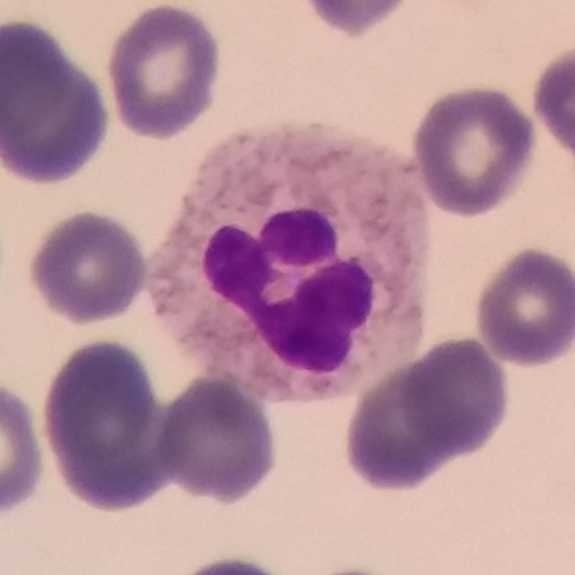
White blood cell type: neutrophilic granulocyte. Acquisition: Peripheral blood smear.